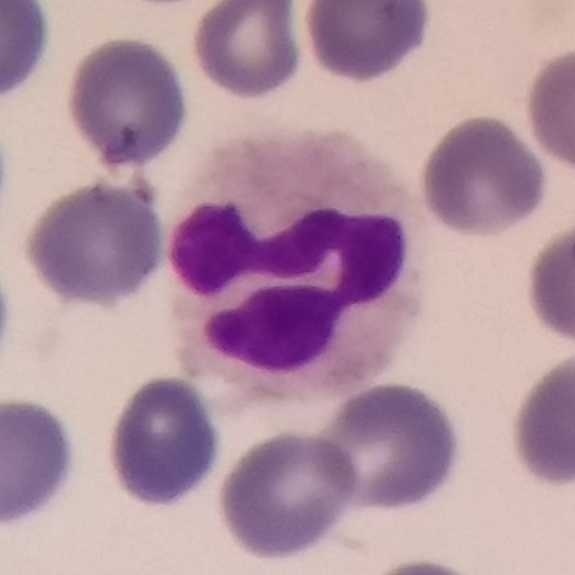Peripheral blood film.

The morphological class is neutrophilic granulocyte.